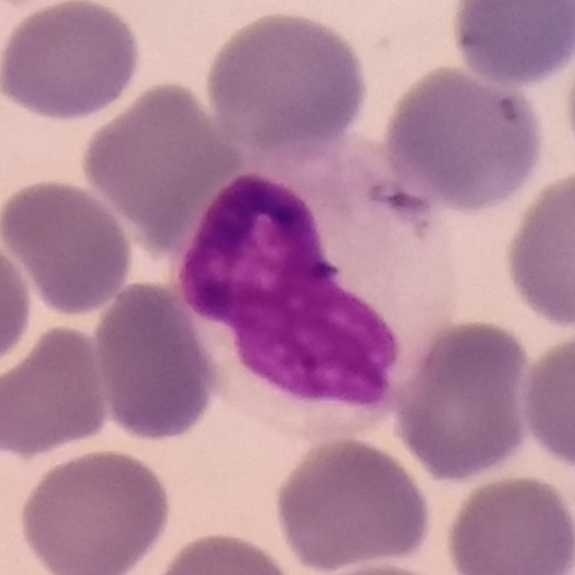Morphology consistent with a monocyte.